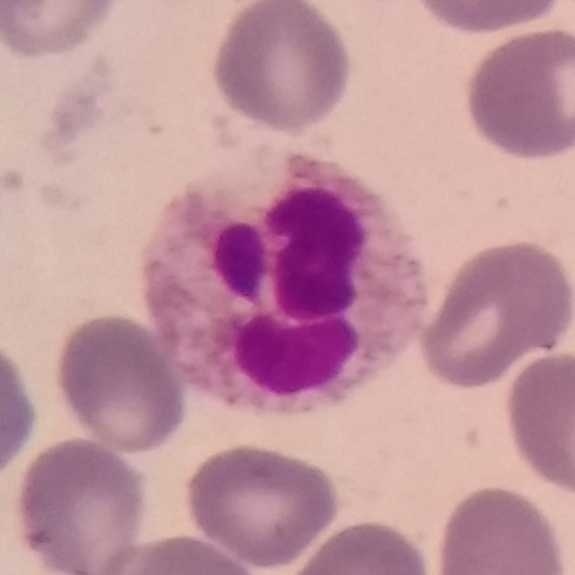

Acquisition: Peripheral blood film. {"cell_type": "neutrophil", "lineage": "myeloid"}